Peripheral blood film. Stained with Giemsa.
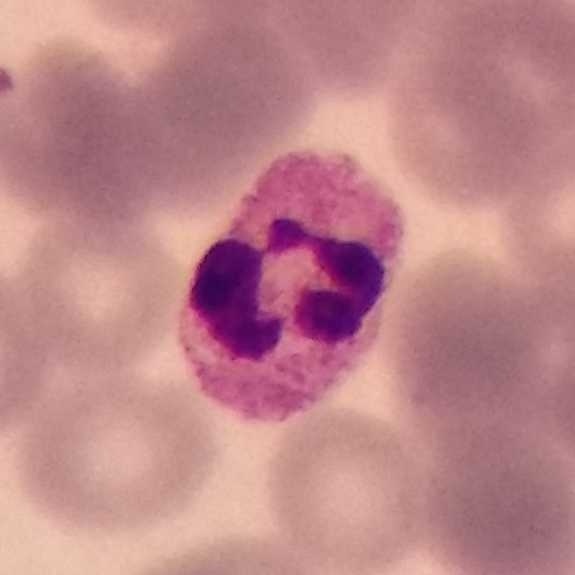Morphology consistent with a neutrophil.